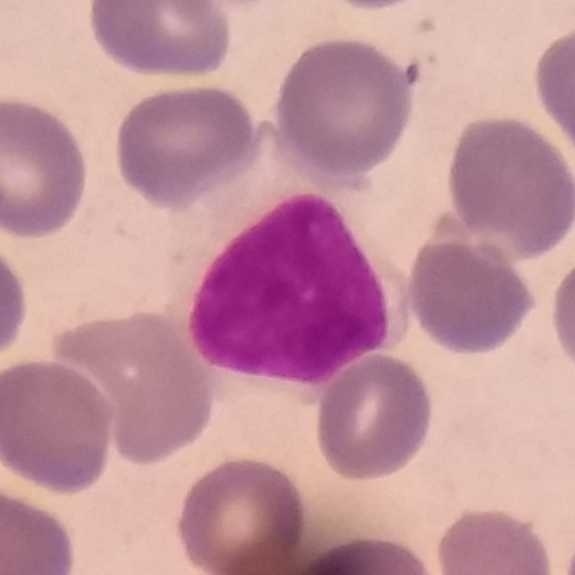

Preparation: Peripheral blood smear.
Q: Classify this leukocyte.
A: This is a lymphocyte.